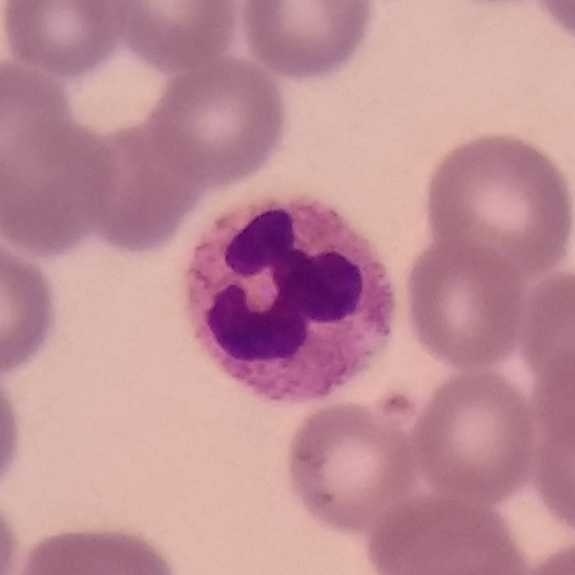 A neutrophilic granulocyte. Image: Peripheral blood film; photographed through a light microscope with a smartphone camera; 575×575 px.